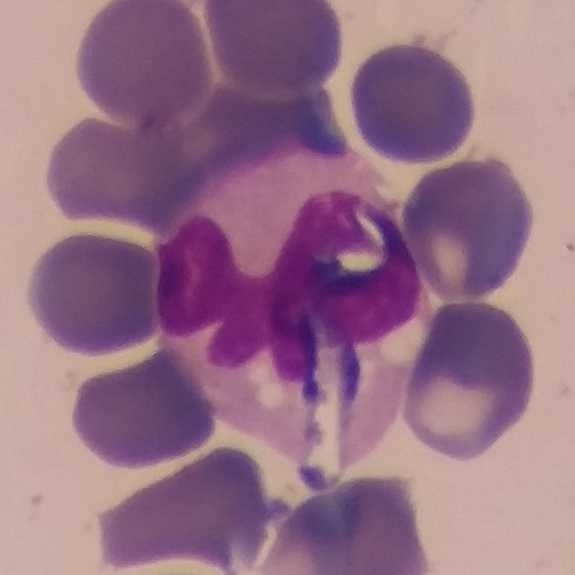
Acquisition: Giemsa stain; peripheral blood film. The morphological class is monocyte.